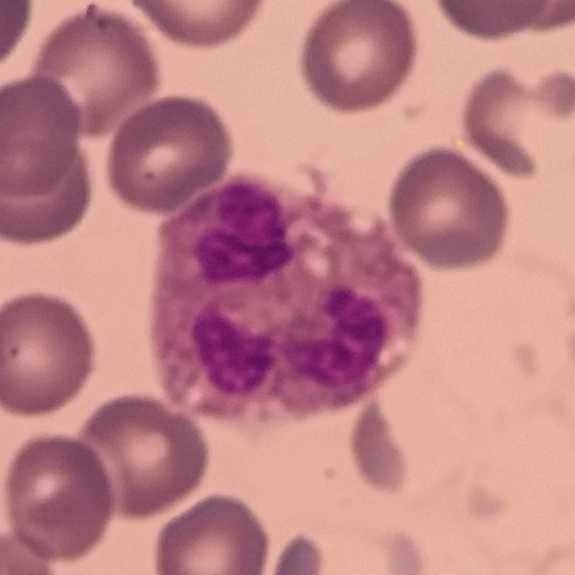Single cell identified as a neutrophil.